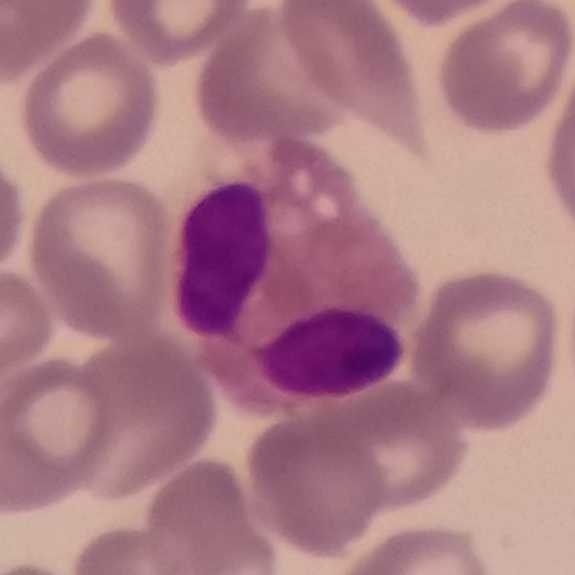

Q: What type of cell is this?
A: This is an eosinophilic granulocyte.